Peripheral blood film:
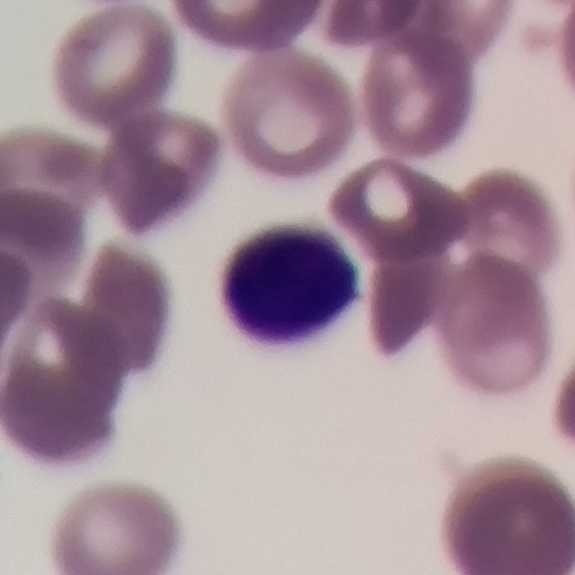
Impression → lymphocyte.